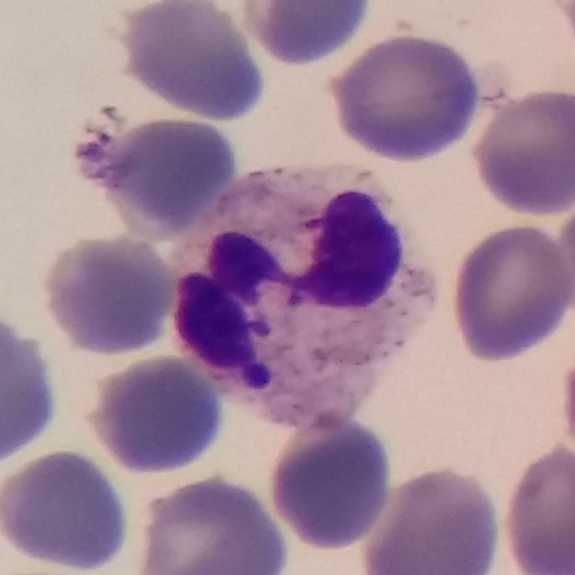
{"cell_type": "neutrophilic granulocyte", "lineage": "myeloid"}